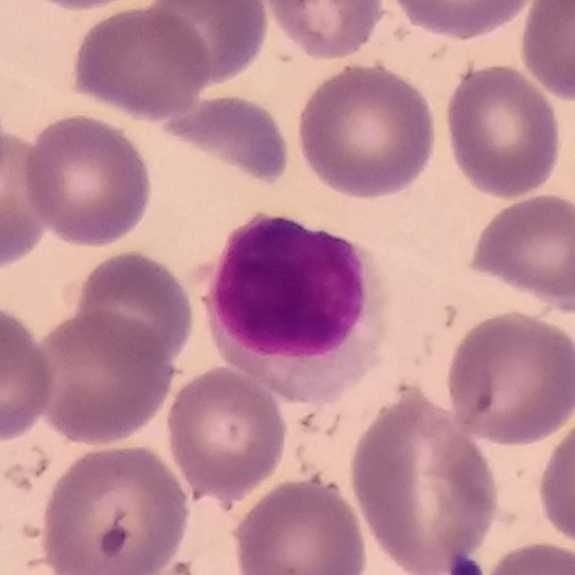
Morphology consistent with a lymphocyte. Context: Peripheral blood film; stained with Giemsa; single white blood cell cropped from the smear photograph.